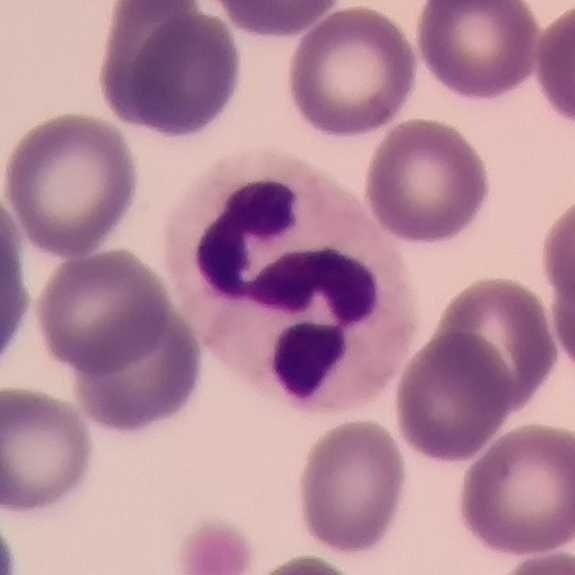The cell shown is a neutrophil granulocyte.